Phone-camera image taken through the microscope ocular; peripheral blood smear; cropped to one leukocyte:
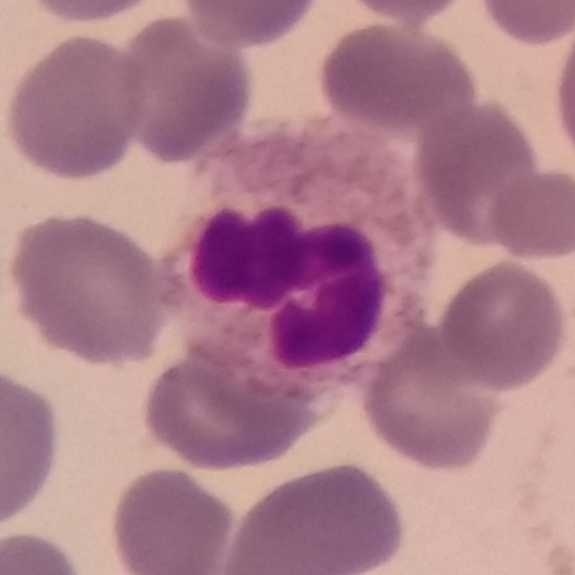
Morphological class = neutrophil granulocyte.